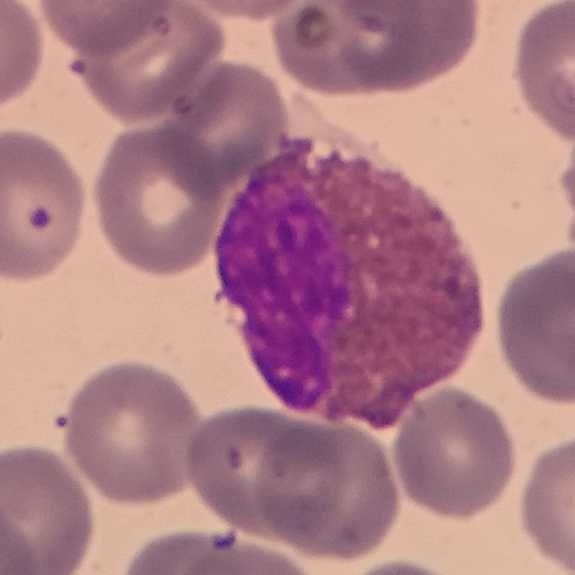
Morphological class = eosinophil.

Context: Peripheral blood film.